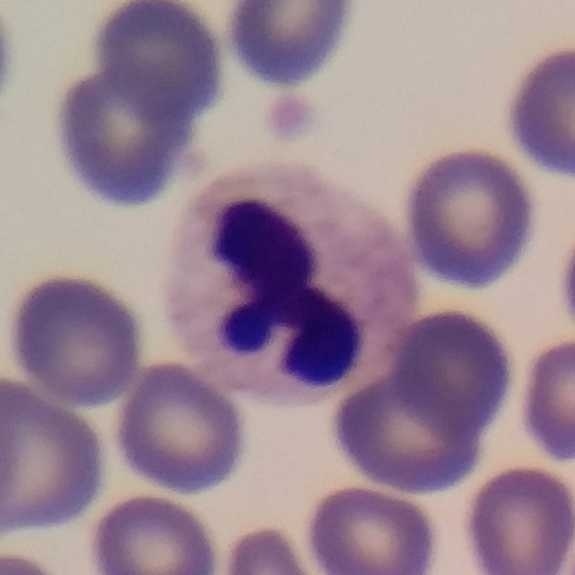
The white blood cell type is neutrophil granulocyte. Preparation: Imaged at 100×; Giemsa-stained; peripheral blood smear.